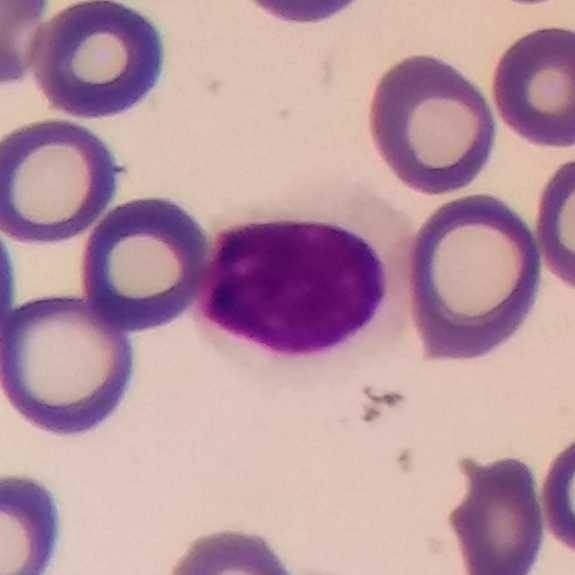Morphological class = lymphocyte.

Context: Photographed through a light microscope with a smartphone camera · peripheral blood film.